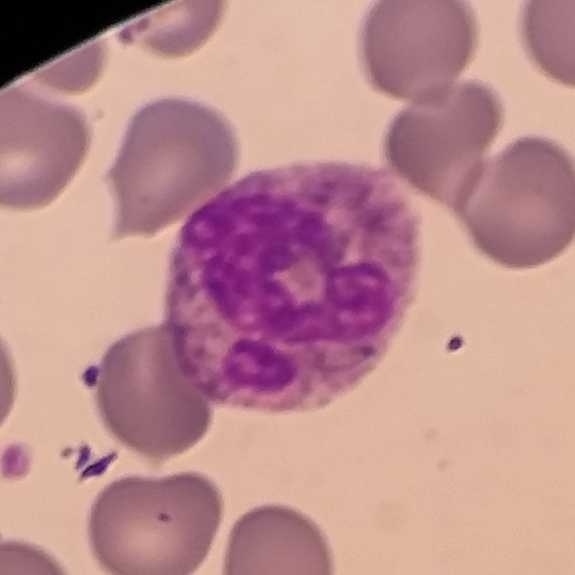Cell type = neutrophil granulocyte.

Acquisition: Peripheral blood smear.